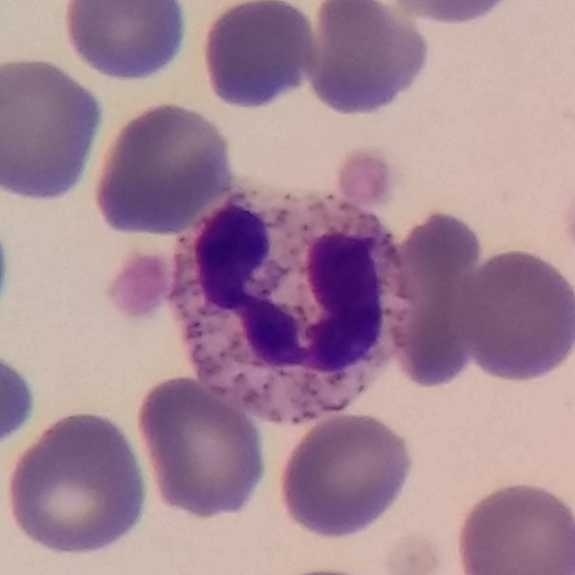The white blood cell in this image is a neutrophilic granulocyte.